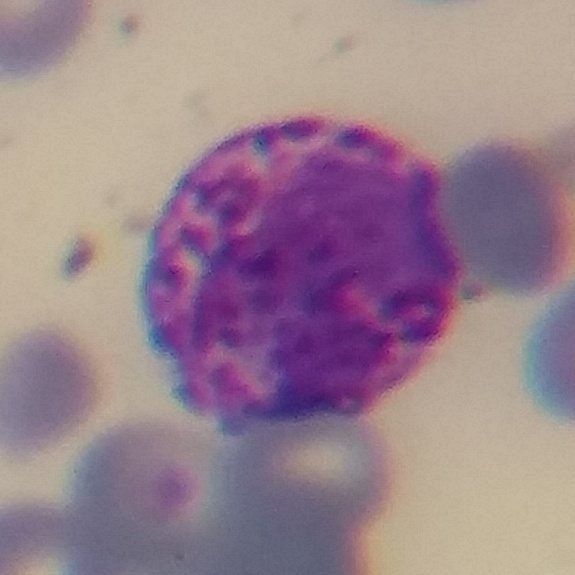

Q: Classify this leukocyte.
A: Basophilic granulocyte.
Acquisition: Giemsa-stained. Peripheral blood smear. 575 by 575 pixels.